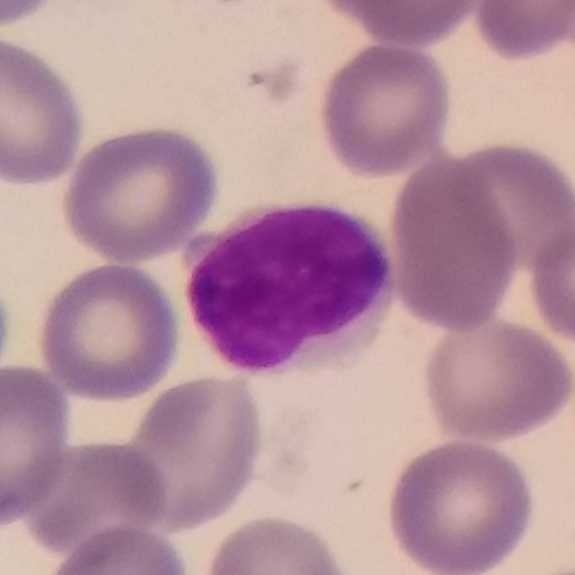

Single-cell crop · photographed through a light microscope with a smartphone camera · peripheral blood film. Morphology consistent with a lymphocyte.